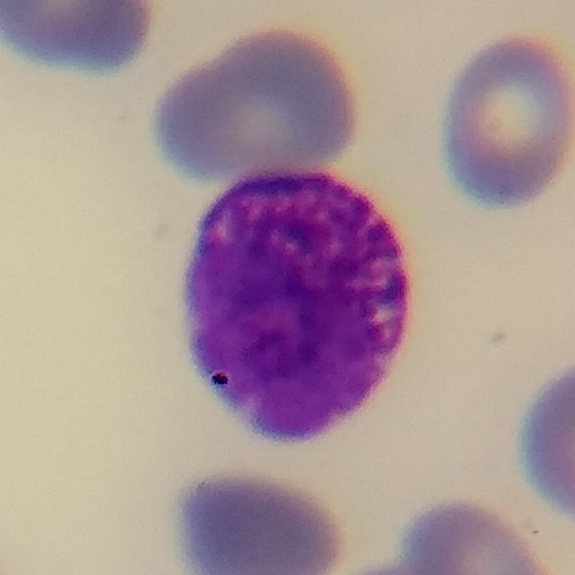

Context: Peripheral blood smear.
This is a basophil.